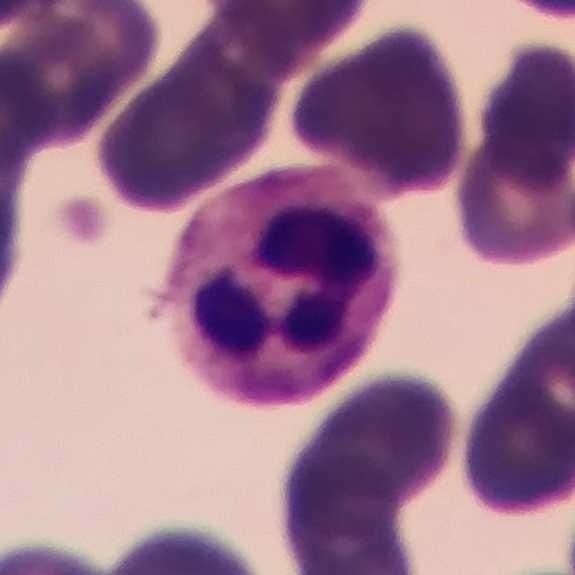Single-cell crop; peripheral blood film; Giemsa stain. Showing a neutrophil granulocyte.